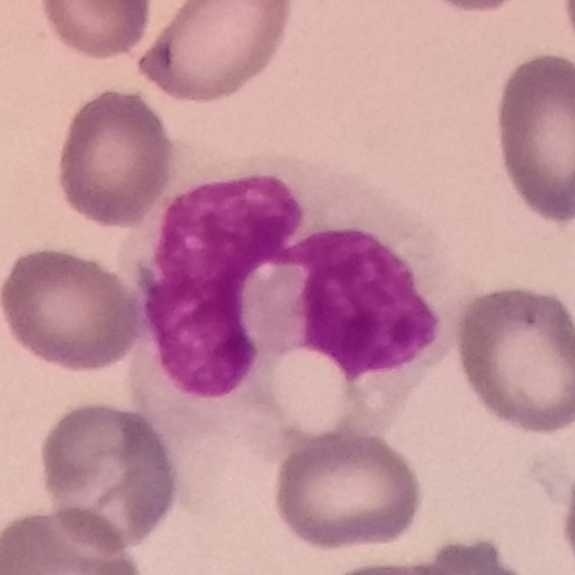 Morphology — monocyte.

Giemsa-stained; peripheral blood smear.